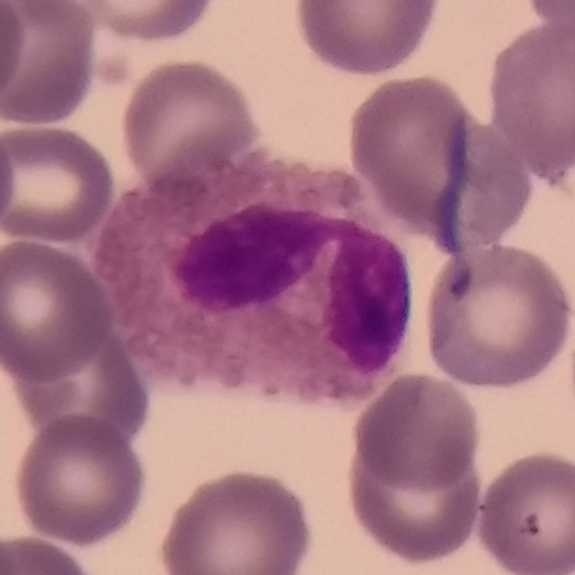

Smartphone photomicrograph; peripheral blood smear; cropped to one leukocyte.

Identified as an eosinophil.